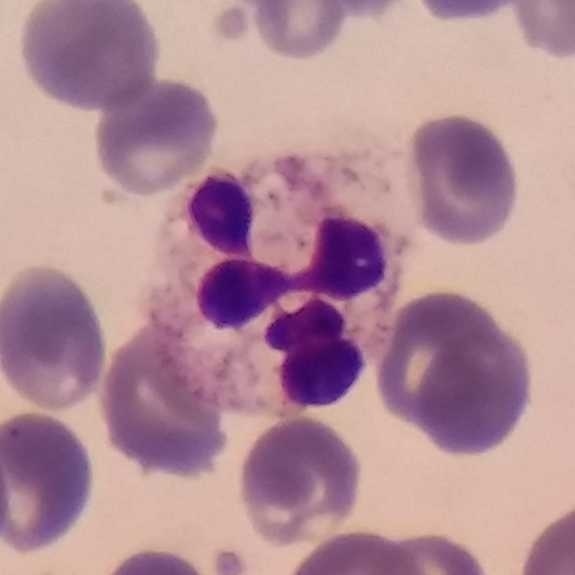 Morphology → neutrophil granulocyte.

Context: Peripheral blood film; stained with Giemsa.